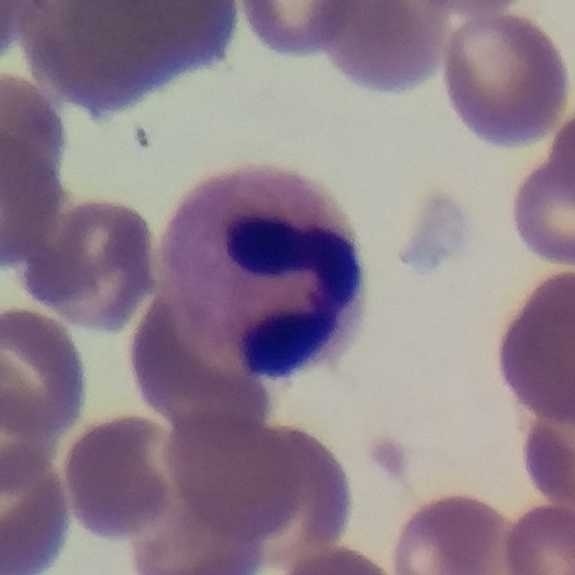 Image: Peripheral blood film. Classification: neutrophil.